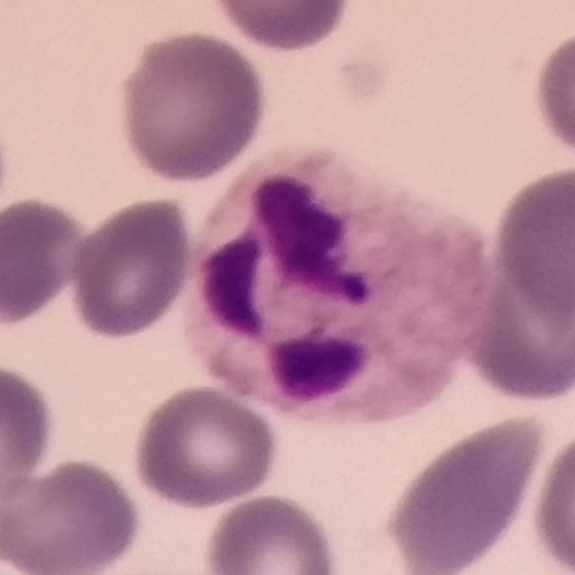Identified as a neutrophilic granulocyte.